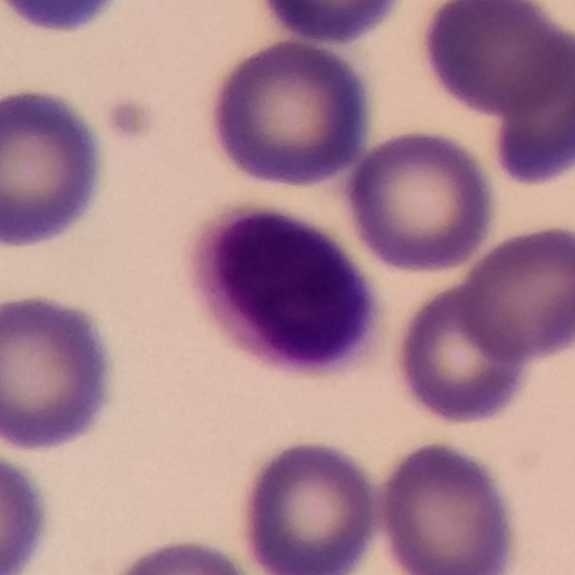Cell type: lymphocyte.
Peripheral blood film.